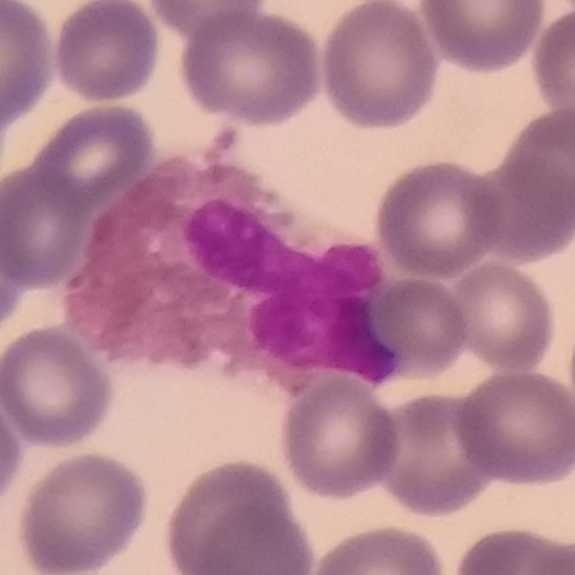
This is an eosinophilic granulocyte.

Context: Magnification 100× · single-cell crop · peripheral blood smear.